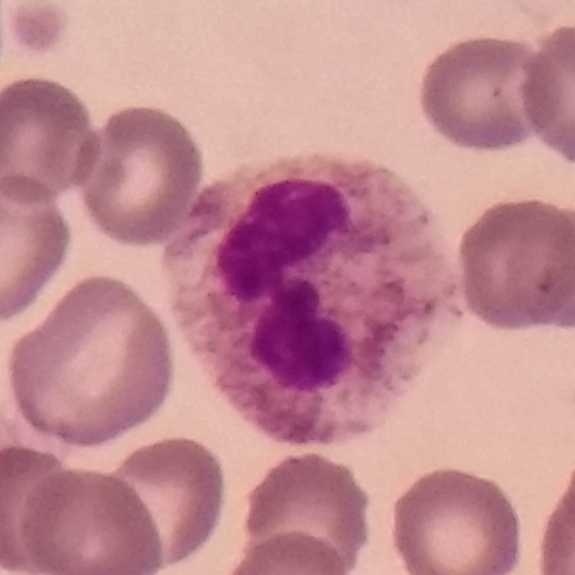Morphology — neutrophilic granulocyte. Peripheral blood smear · Giemsa stain.